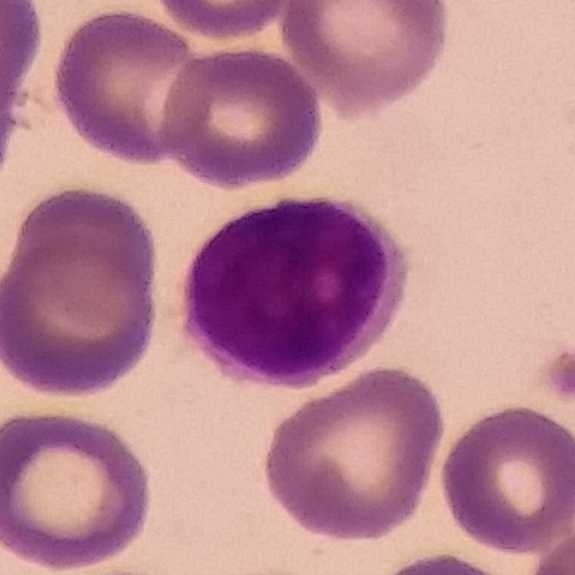Q: What is this?
A: It is a lymphocyte.